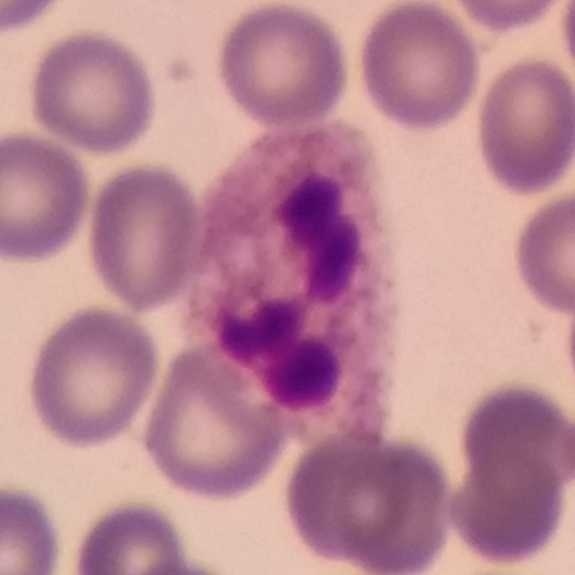Morphology → neutrophil granulocyte.

Image: Peripheral blood smear.